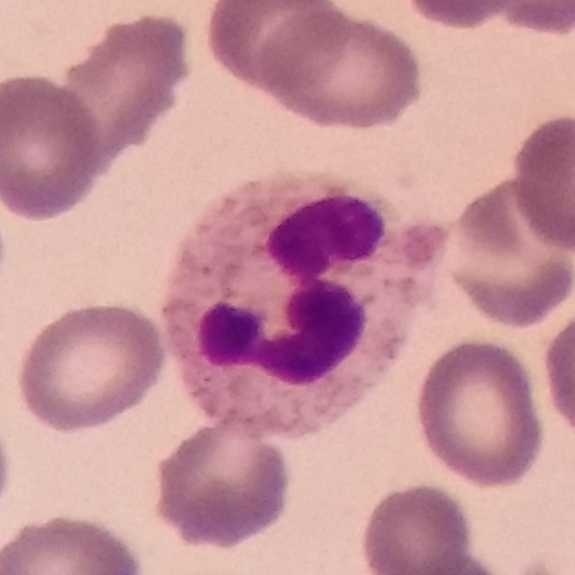 Acquisition: Peripheral blood smear.

Cell type — neutrophil.